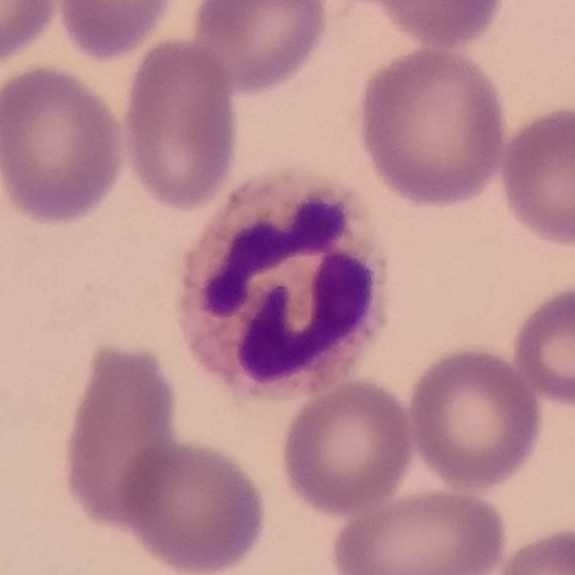

Peripheral blood smear.

The cell is neutrophil granulocyte.